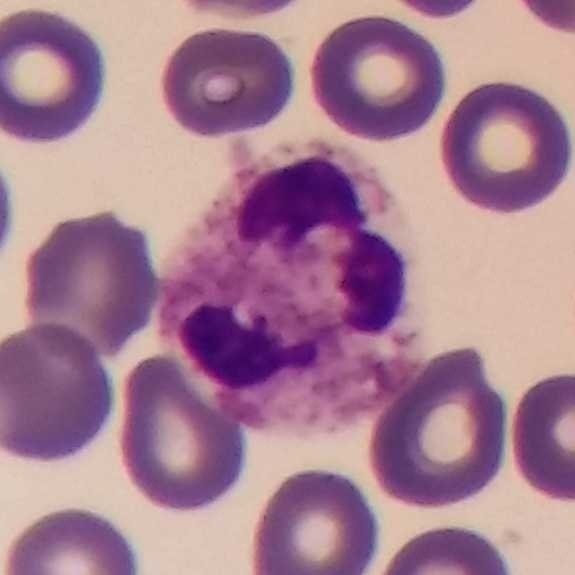Neutrophil granulocyte.
Preparation: Peripheral blood smear; phone-camera image taken through the microscope ocular.